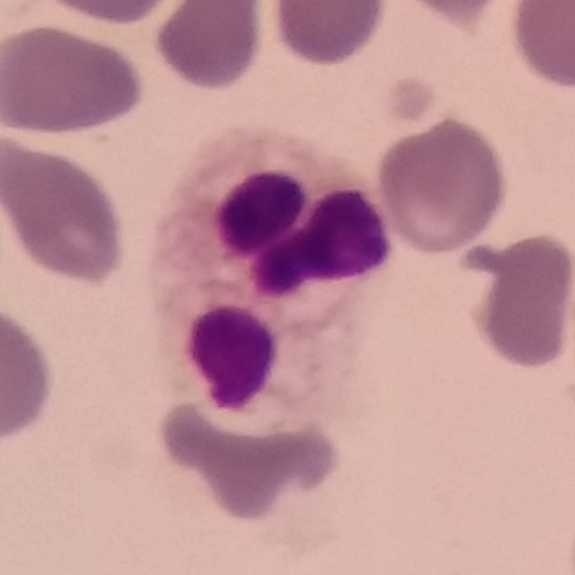
Specimen: peripheral blood film.
Morphological class: neutrophil.
Lineage: myeloid.